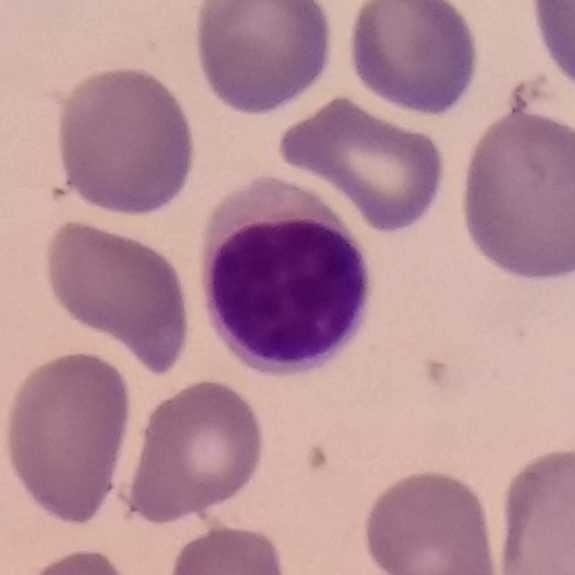
The white blood cell in this image is a lymphocyte. Preparation: Giemsa-stained. Peripheral blood film. Single-cell field.